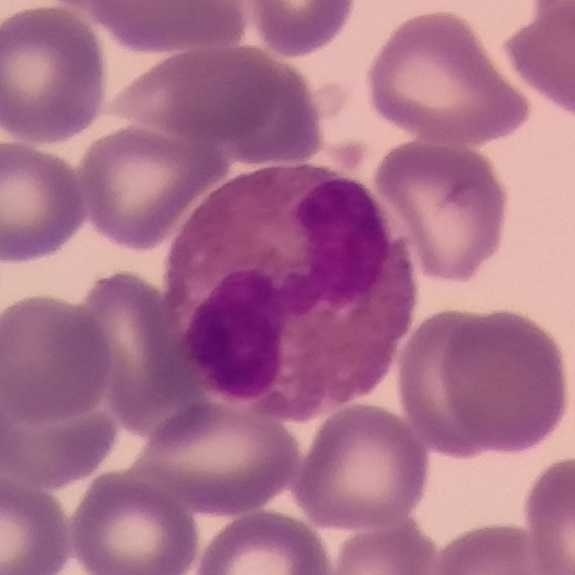

Specimen: peripheral blood film.
Classification: eosinophil.
Lineage: myeloid.